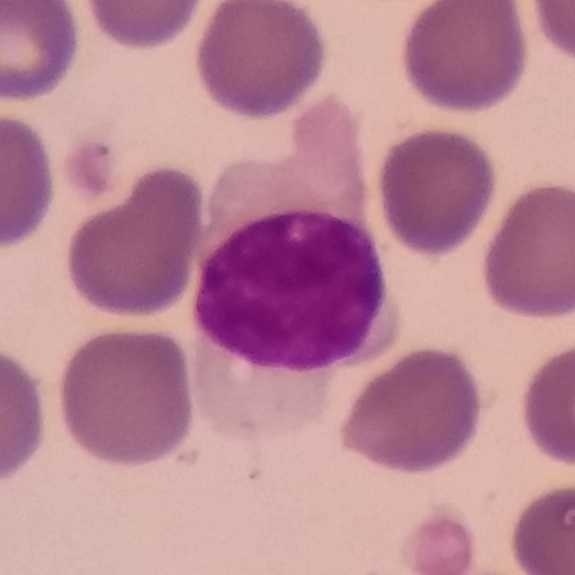The morphological class is lymphocyte. Acquisition: Peripheral blood smear.